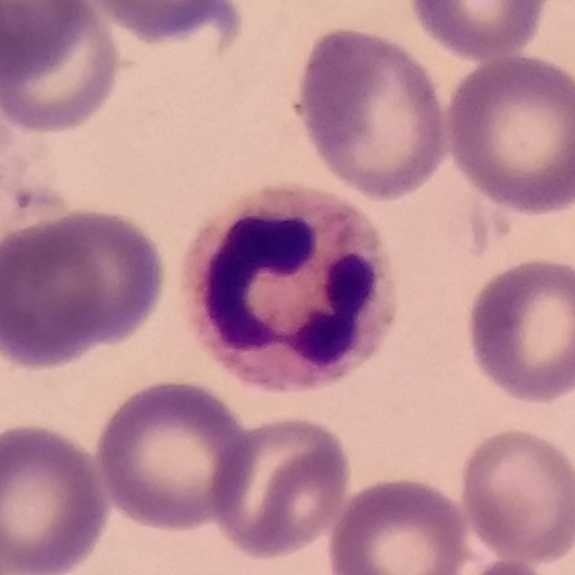 Q: What cell is this?
A: Neutrophil.